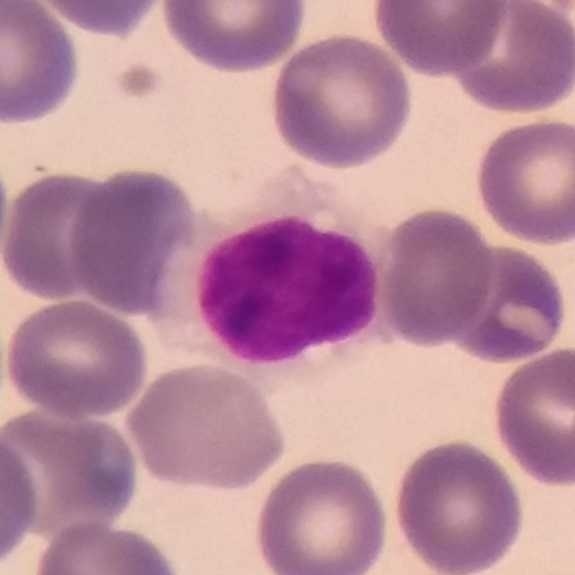
Preparation: Peripheral blood smear.
The cell is lymphocyte.